Peripheral blood smear:
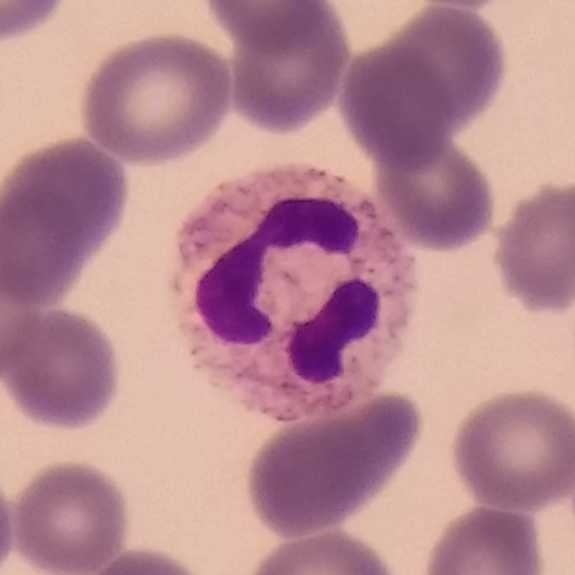

Showing a neutrophil.